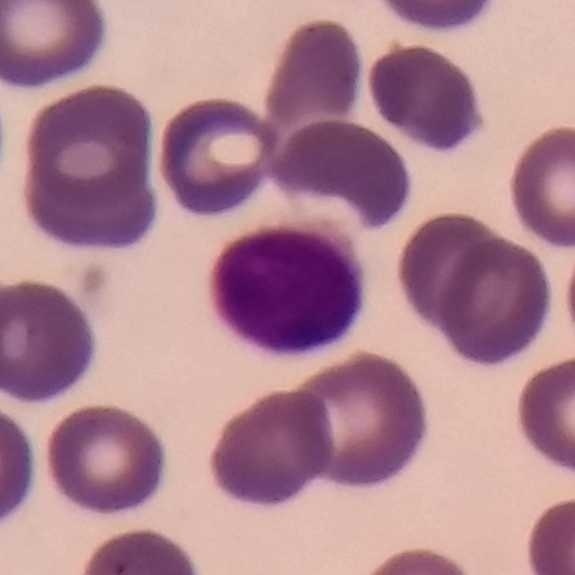Morphology → lymphocyte.
Preparation: Peripheral blood film.